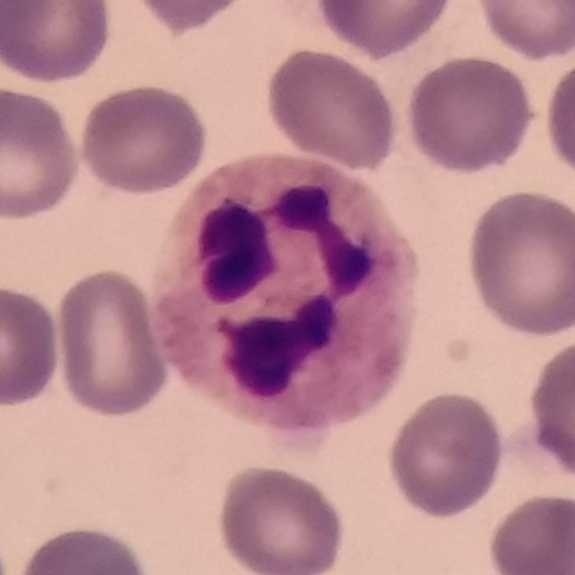Image: Phone-camera image taken through the microscope ocular · peripheral blood film.
{"cell_type": "neutrophil", "lineage": "myeloid"}